Single-cell field; peripheral blood smear
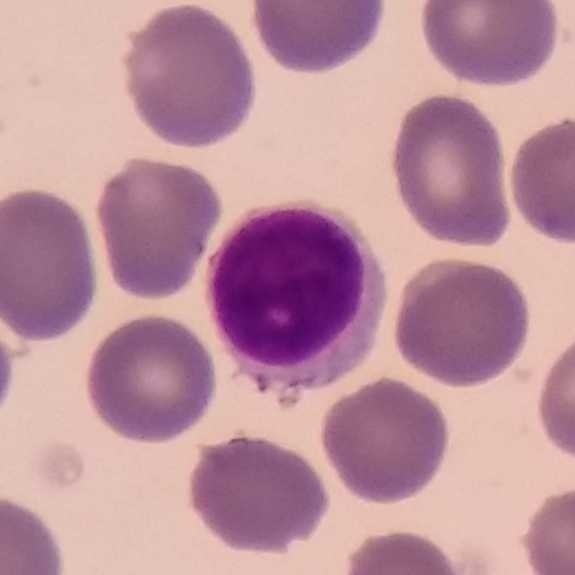 This is a lymphocyte.